Peripheral blood smear — 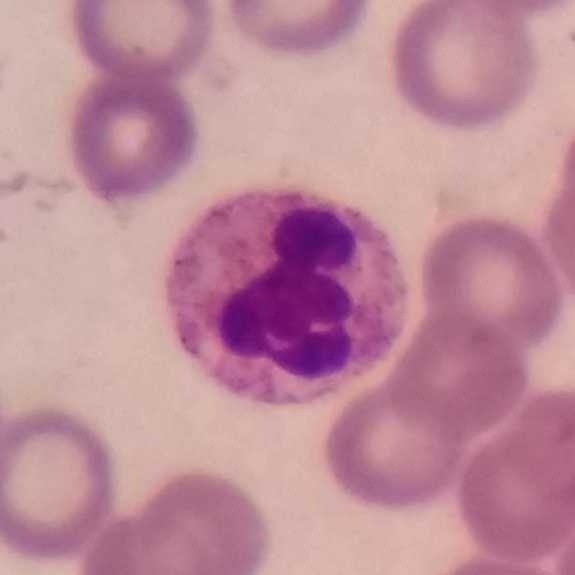Cell type — neutrophilic granulocyte.